Giemsa-stained; peripheral blood film; 575×575 px — 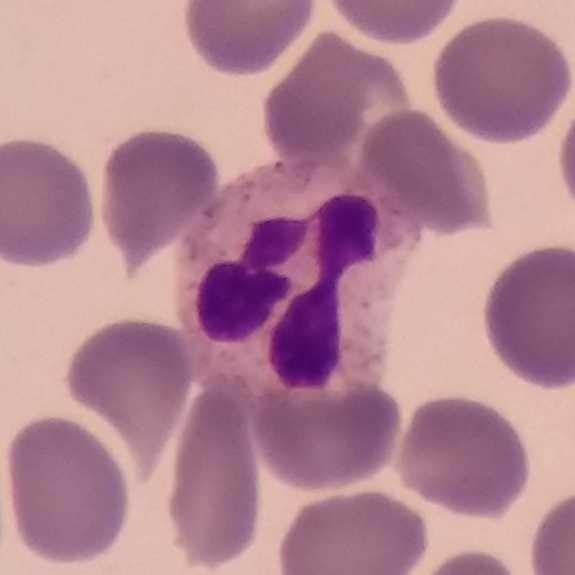
The cell is neutrophilic granulocyte.